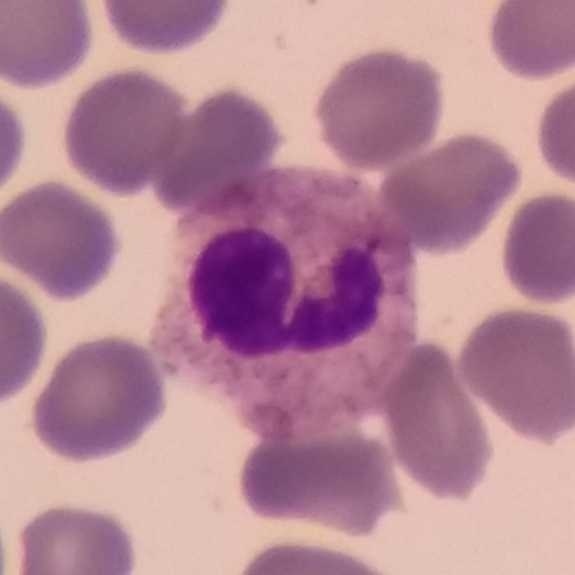
Peripheral blood film · image size 575×575 · Giemsa-stained.

Cell type — neutrophilic granulocyte.